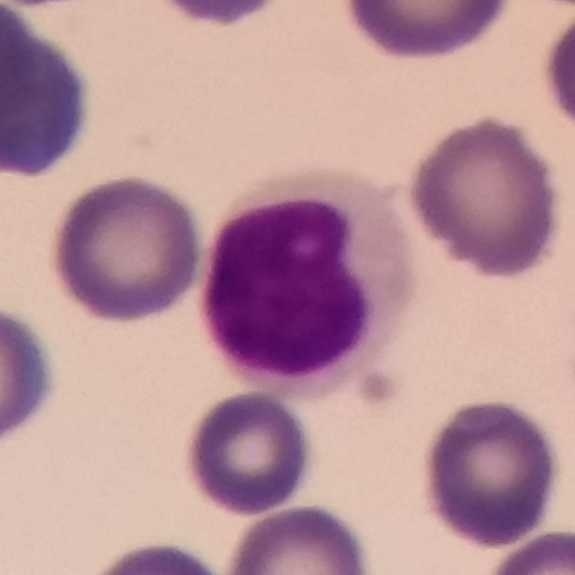 Specimen: peripheral blood smear.
Morphological class: lymphocyte.
Lineage: lymphoid.